Peripheral blood smear; magnification 100×.
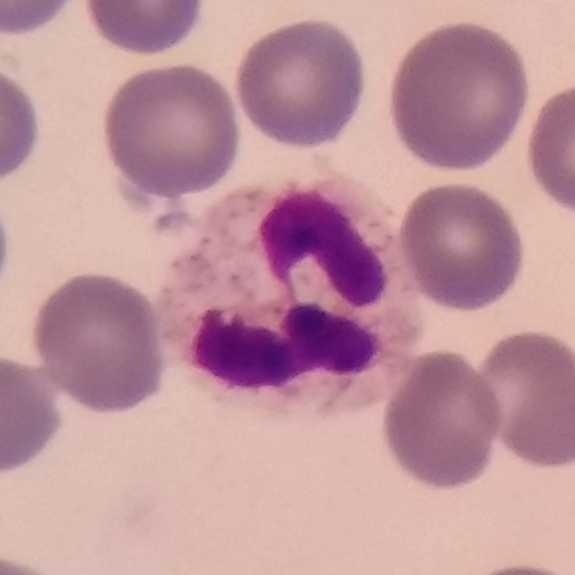

Q: Classify this leukocyte.
A: Neutrophil granulocyte.